Peripheral blood smear:
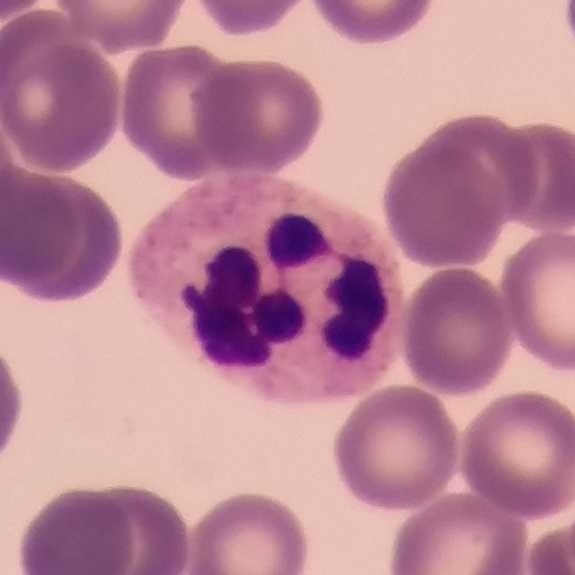 Morphological class = neutrophil granulocyte.